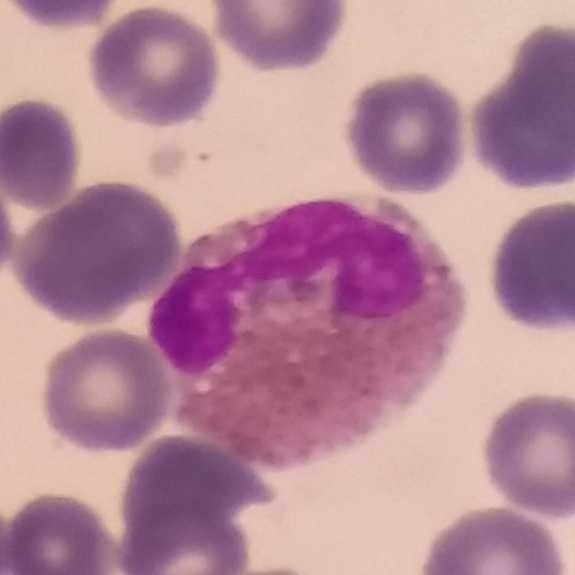 Smartphone photomicrograph · 100× magnification · peripheral blood smear.

Morphology → eosinophilic granulocyte.